Peripheral blood smear: 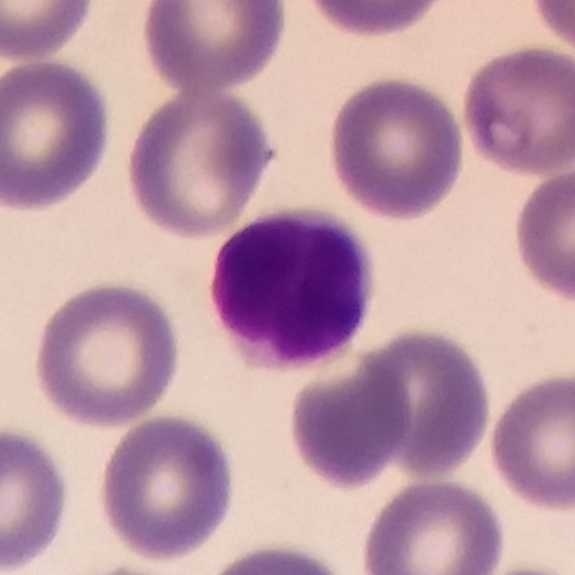

Specimen: peripheral blood smear.
Morphological class: lymphocyte.
Lineage: lymphoid.